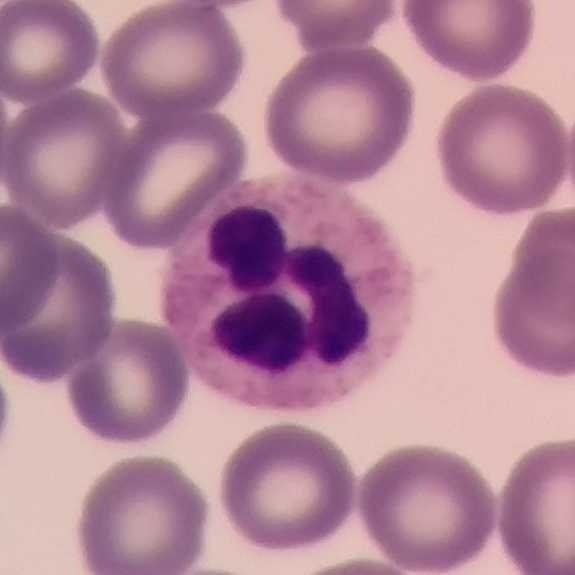 The white blood cell type is neutrophilic granulocyte.
Acquisition: Peripheral blood smear.